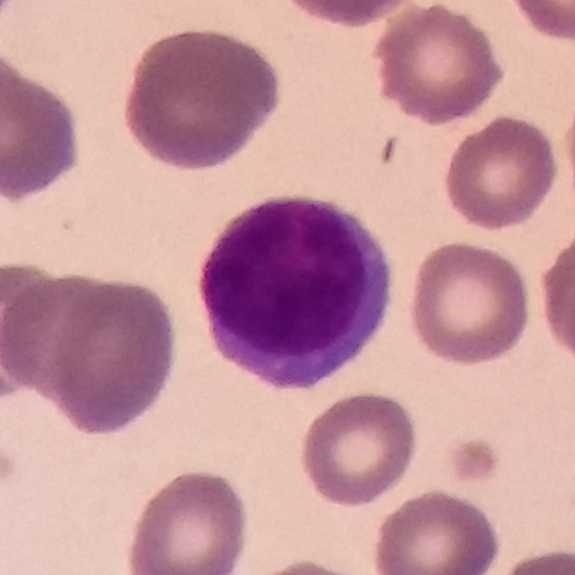Acquisition: Peripheral blood film.
Morphology → lymphocyte.